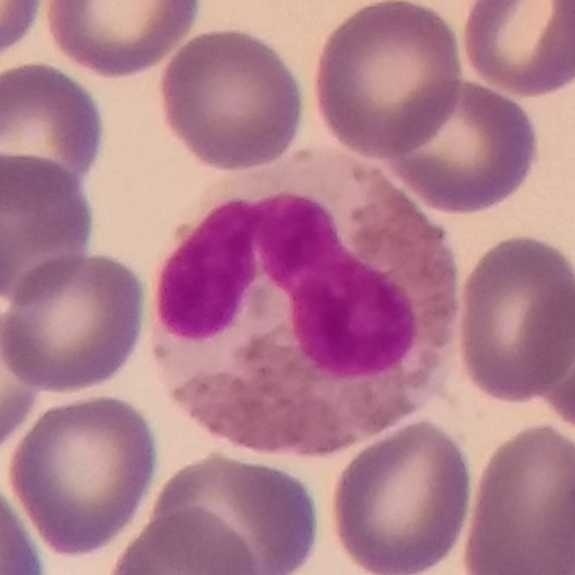
Classification — eosinophil. Peripheral blood smear.